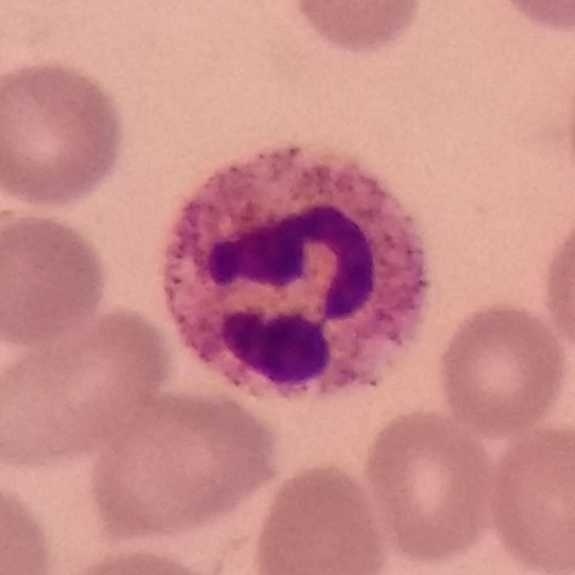
Acquisition: Peripheral blood smear. 575×575. 100× magnification.

Identified as a neutrophilic granulocyte.